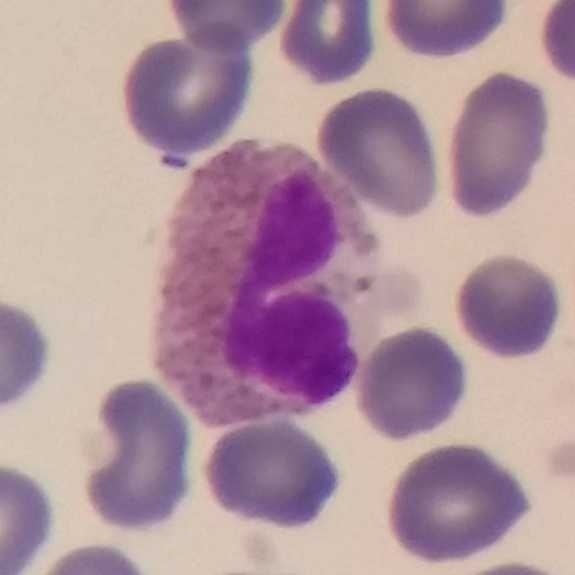 Cell type = eosinophilic granulocyte.